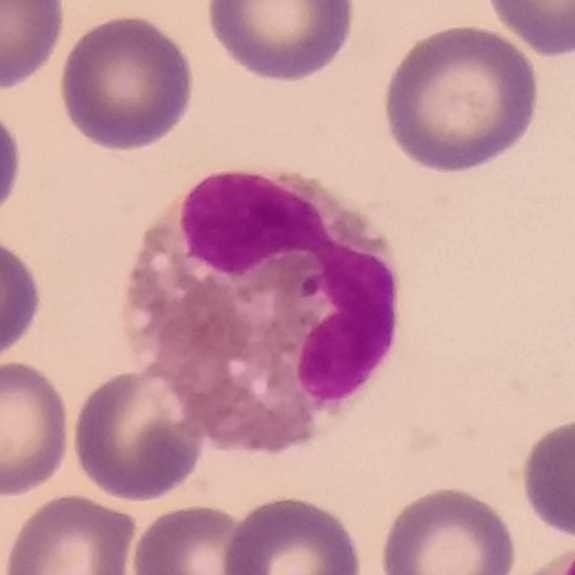

The cell is eosinophilic granulocyte.

Preparation: Peripheral blood film.